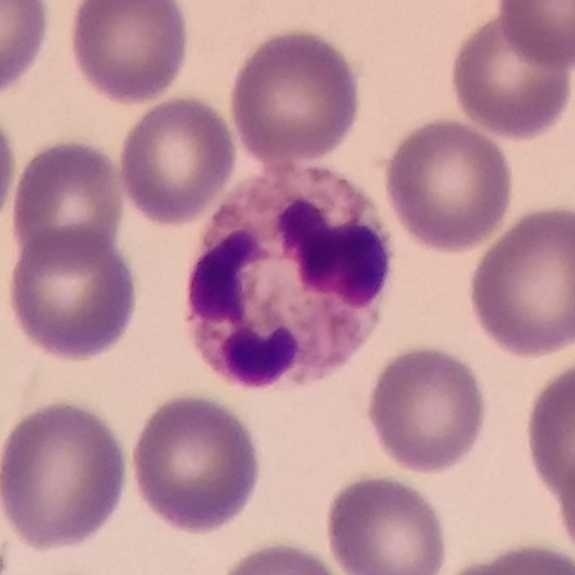Cell = neutrophil.

Acquisition: Photographed through a light microscope with a smartphone camera · peripheral blood smear.